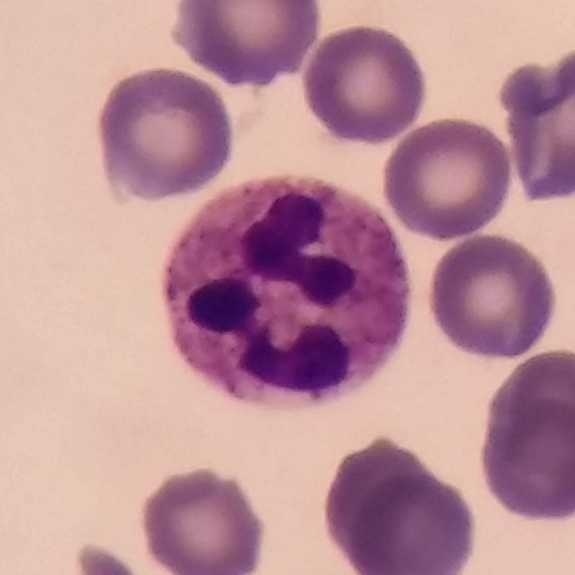

Neutrophil granulocyte.
Image size 575×575 · peripheral blood film.